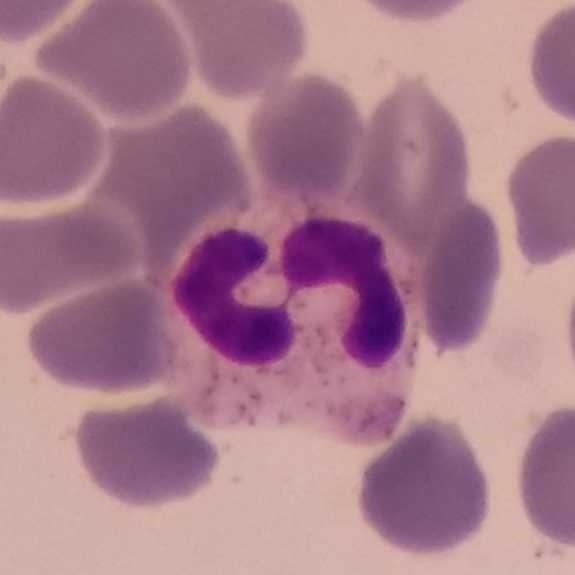A neutrophil.

Image: Peripheral blood film; 575 by 575 pixels; photographed through a light microscope with a smartphone camera.